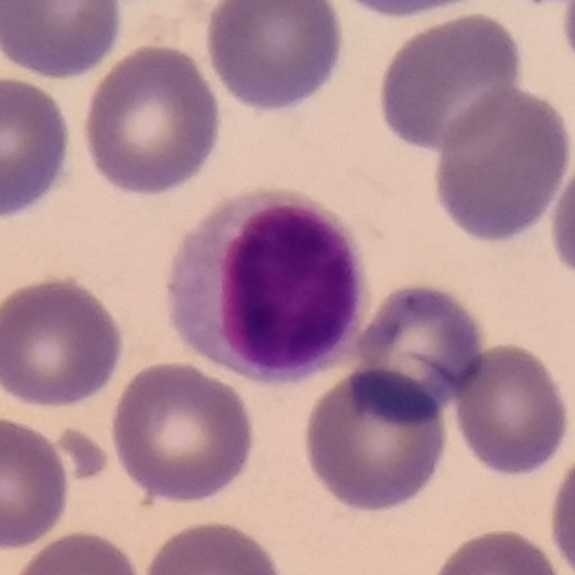

Acquisition: Peripheral blood smear.

Morphology — lymphocyte.